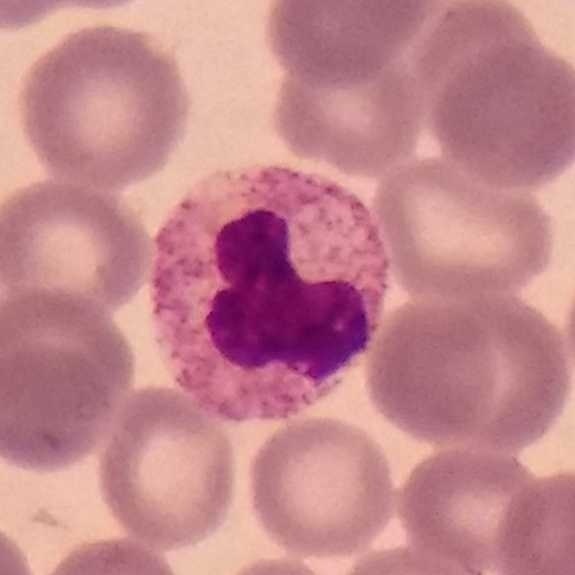White blood cell from a peripheral blood smear: neutrophil granulocyte.